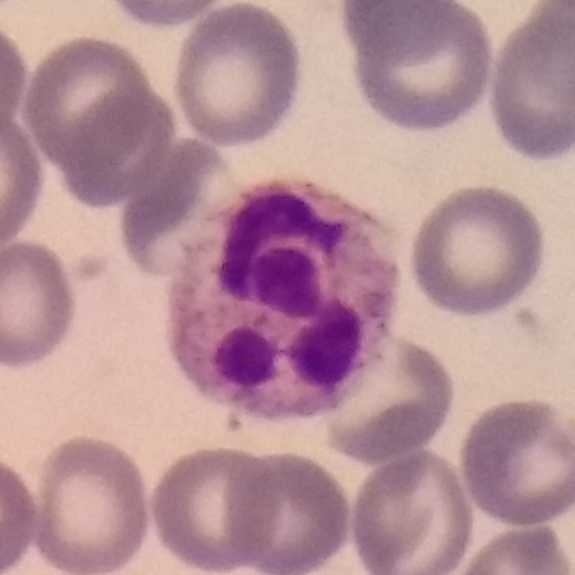

Morphology consistent with a neutrophil granulocyte.

Image: Peripheral blood film; photographed through a light microscope with a smartphone camera.